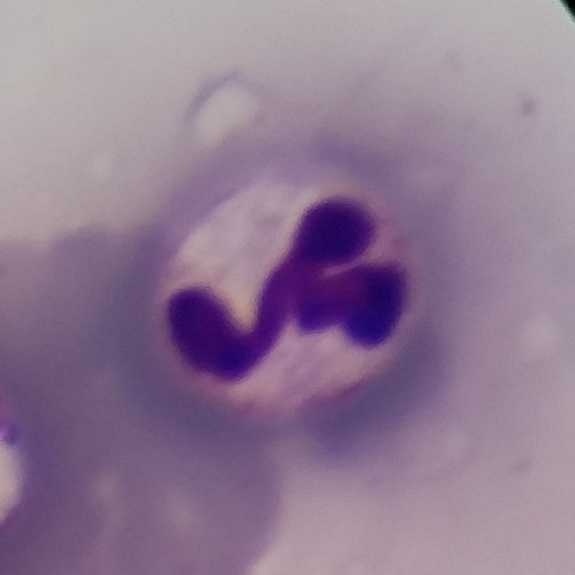 Identified as a neutrophil granulocyte.